Peripheral blood film. Giemsa-stained
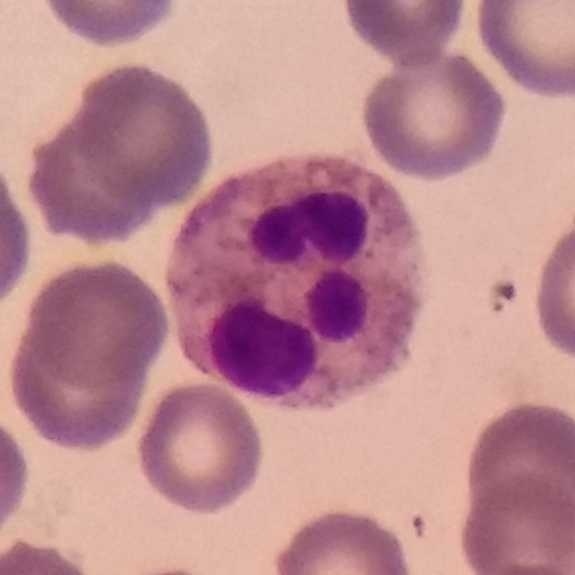Specimen: peripheral blood film.
Cell: neutrophil granulocyte.